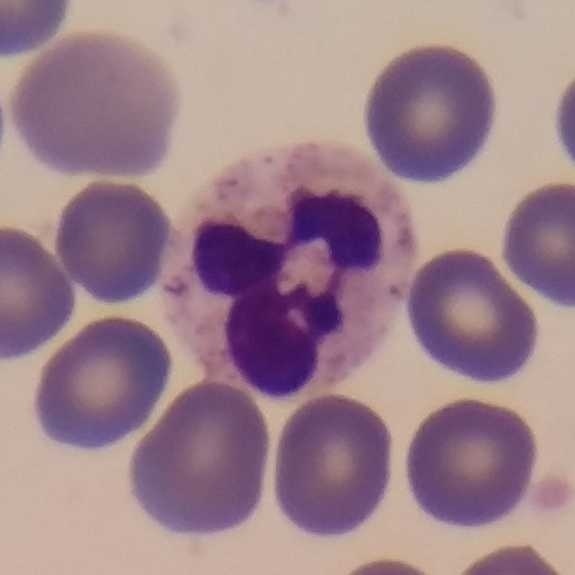
Q: Which cell type is shown here?
A: Neutrophil granulocyte.